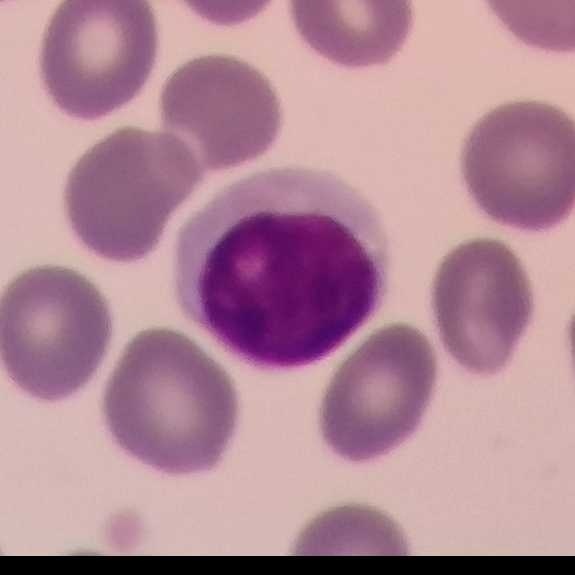Peripheral blood film. The white blood cell in this image is a lymphocyte.